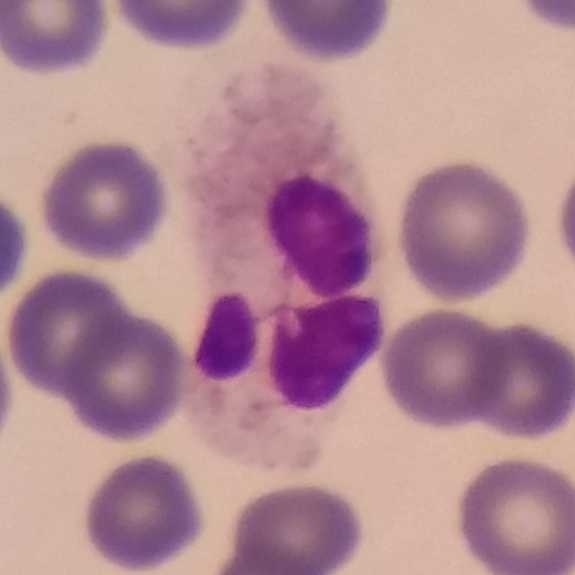
Showing a neutrophil.